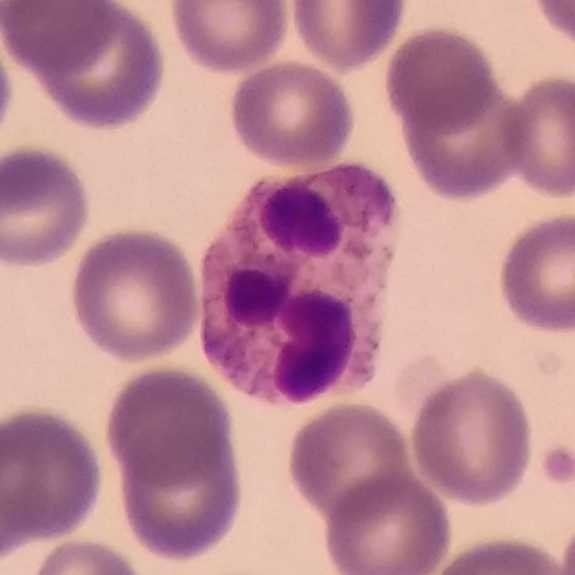
Context: 575×575 px · single-cell crop · peripheral blood smear.

Morphological class: neutrophilic granulocyte.